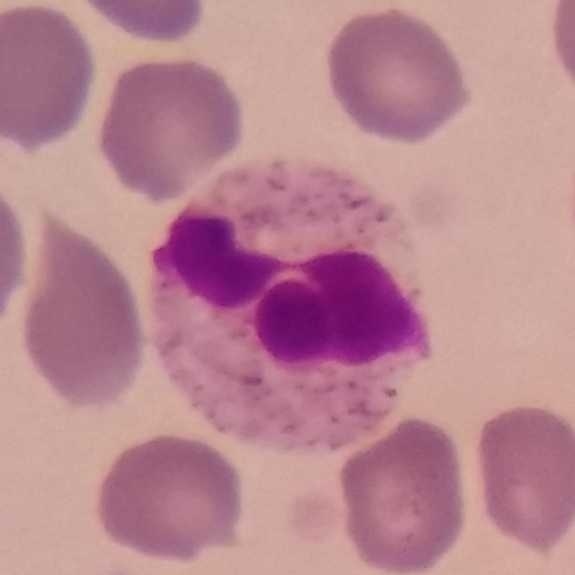 Peripheral blood smear.
Cell type — neutrophil granulocyte.